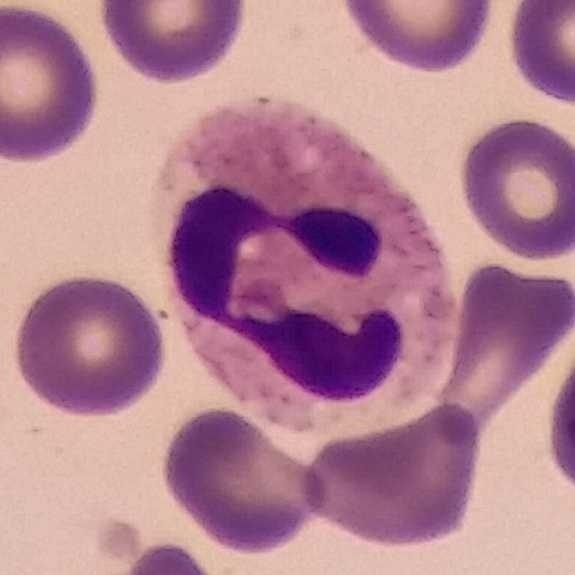
Neutrophilic granulocyte.